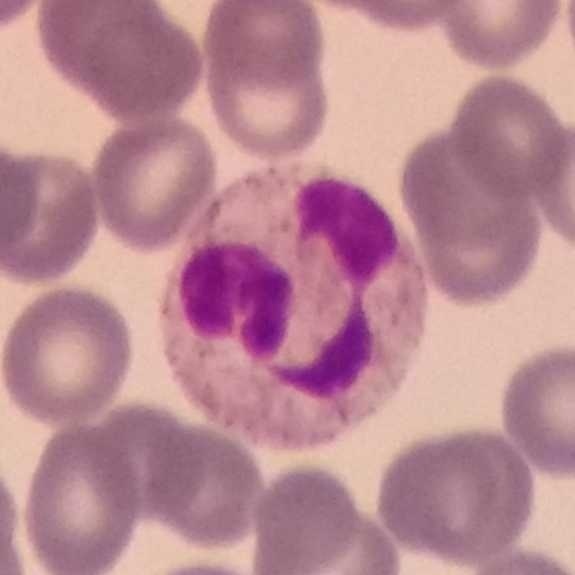 Specimen: peripheral blood film.
Cell type: neutrophilic granulocyte.